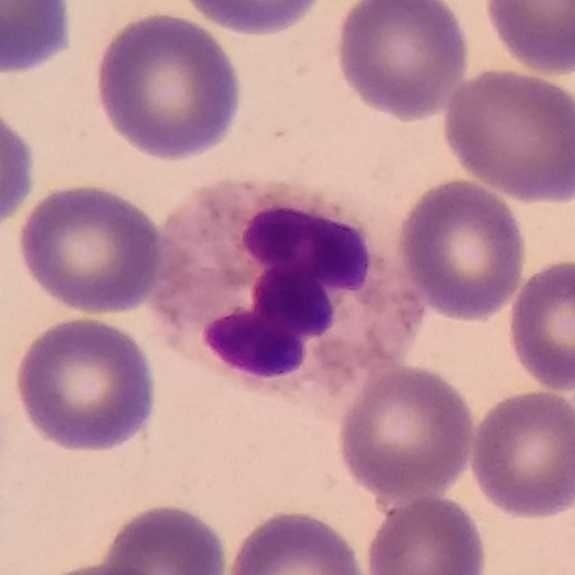
Identified as a neutrophilic granulocyte.